Peripheral blood film: 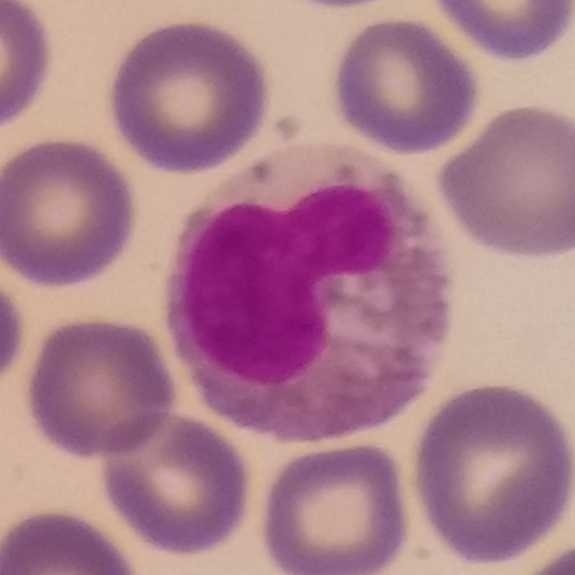
Classification — eosinophilic granulocyte.